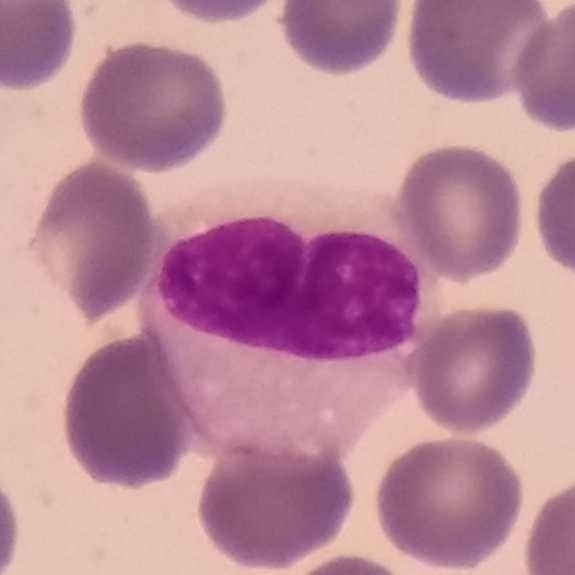

This is a monocyte.